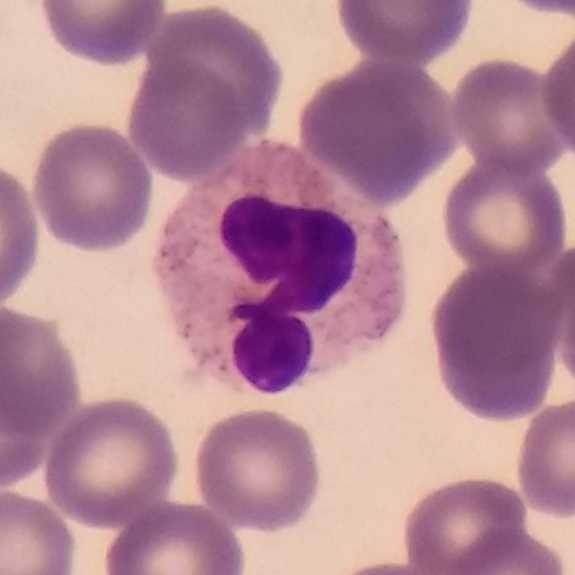Cell: neutrophilic granulocyte. Preparation: Peripheral blood smear.